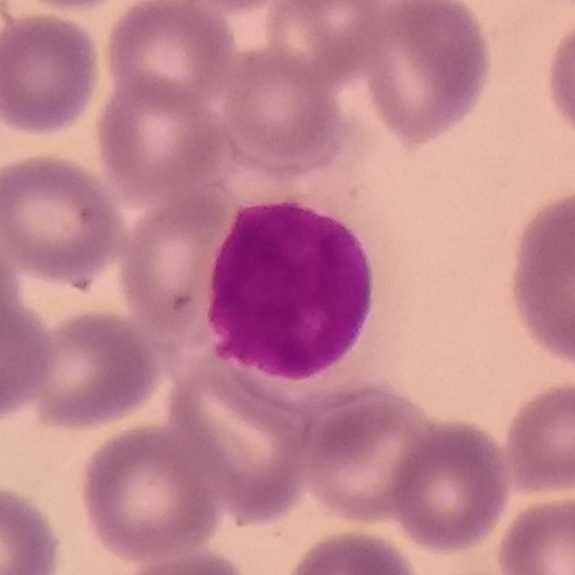 Cell = lymphocyte.